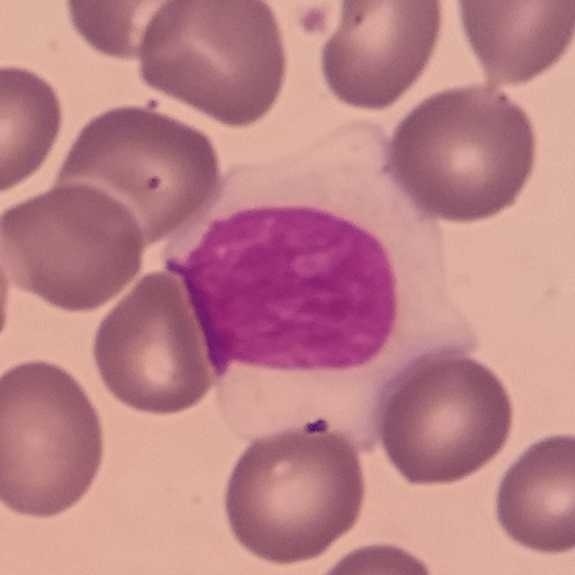

Lymphocyte.

Image: Peripheral blood film · cropped to one leukocyte.